Peripheral blood smear · 575×575 px: 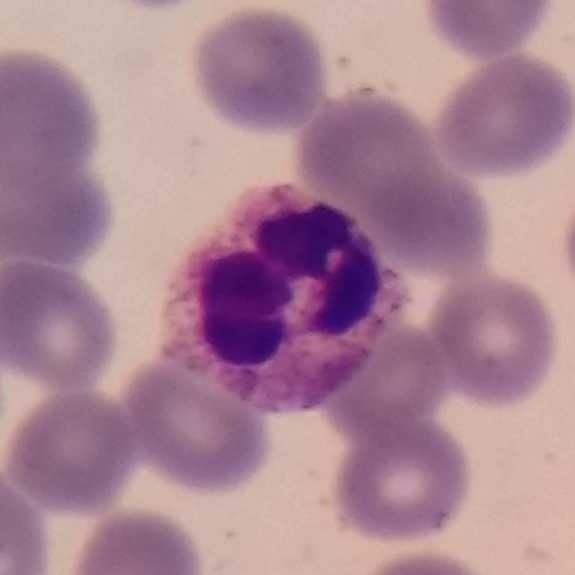 The cell is neutrophil granulocyte.